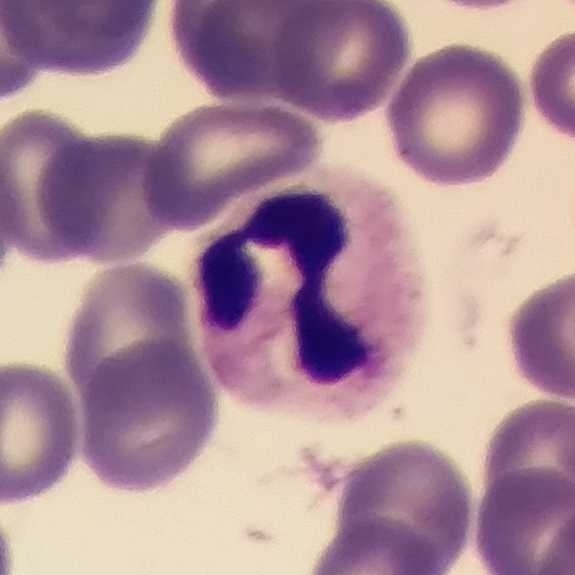 Specimen: peripheral blood film.
Cell: neutrophilic granulocyte.